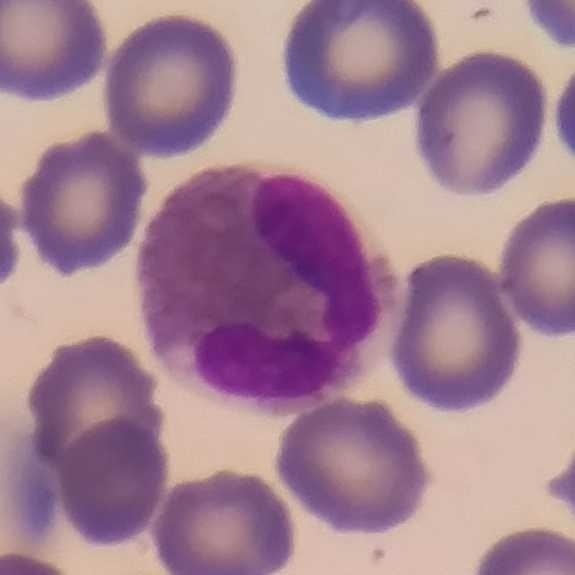

Acquisition: Peripheral blood film. 575×575 px.
Identified as an eosinophil.